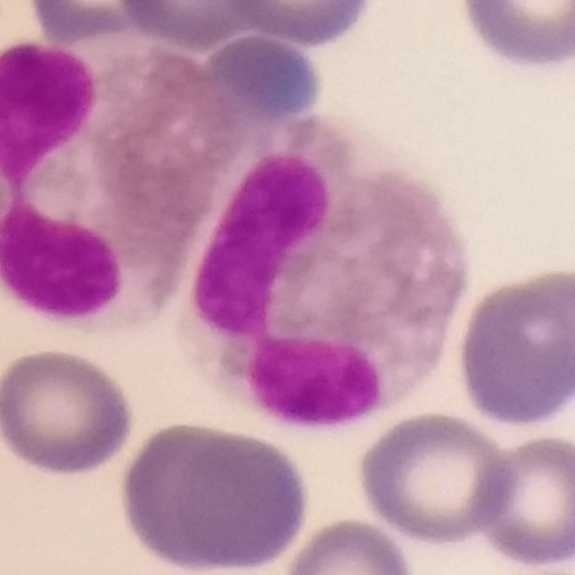
{"cell_type": "eosinophilic granulocyte"}